Stained with Giemsa · peripheral blood film: 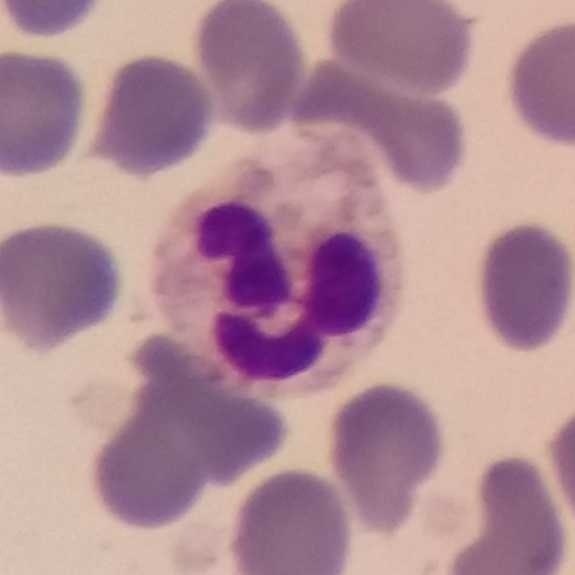 White blood cell type — neutrophilic granulocyte.